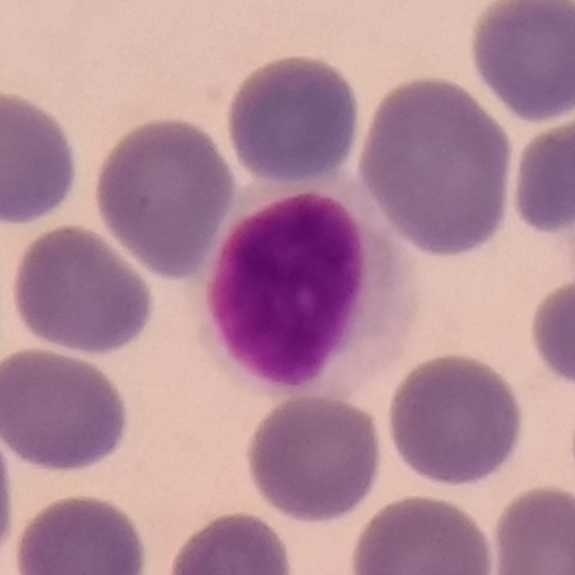 Peripheral blood smear.
Showing a lymphocyte.